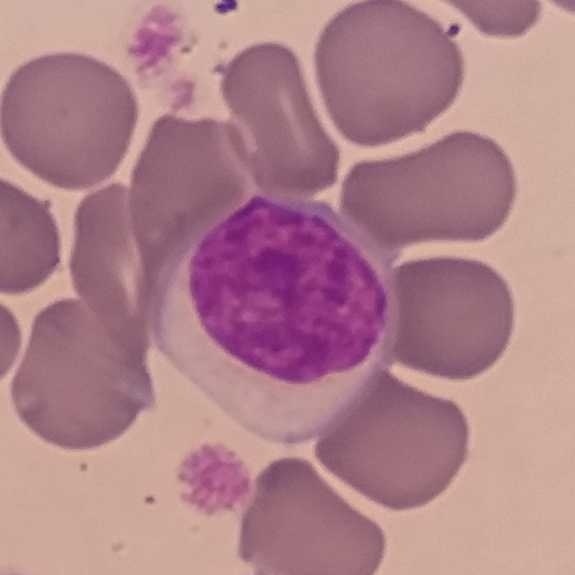
Preparation: Imaged at 100×. Peripheral blood film. {"cell_type": "monocyte", "lineage": "myeloid"}